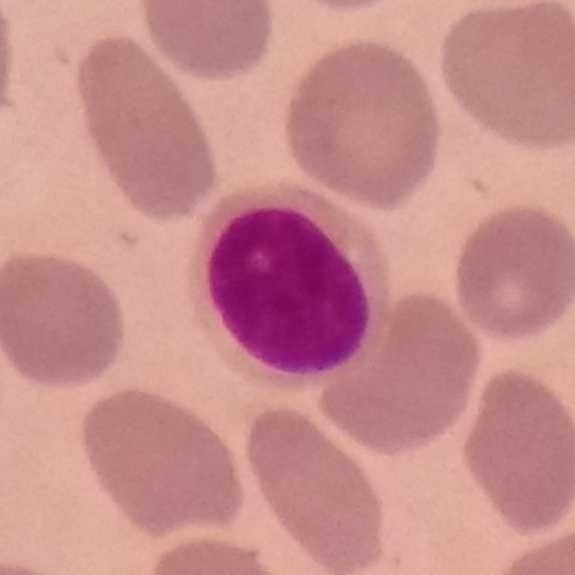
Image: 575 by 575 pixels. Smartphone photomicrograph.
Specimen: peripheral blood smear.
Classification: lymphocyte.